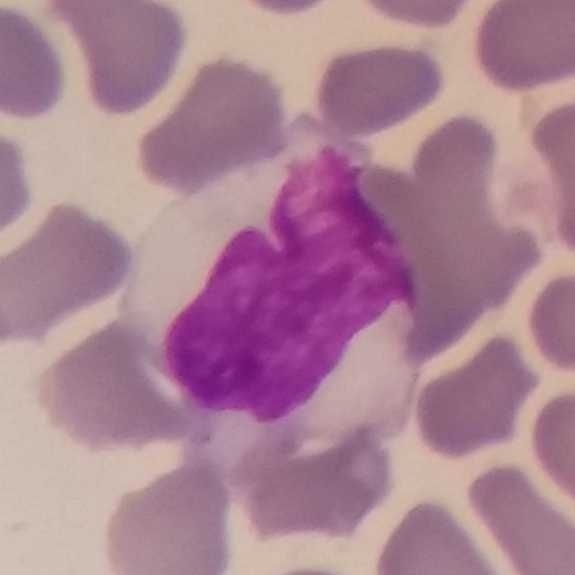
Morphological class = monocyte.
Acquisition: Peripheral blood film.